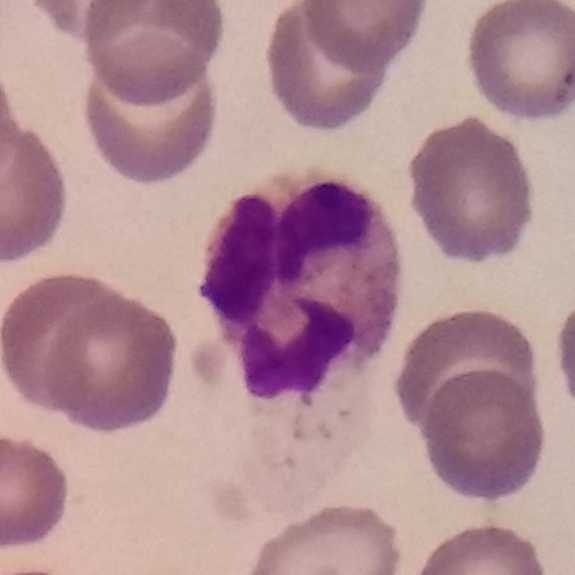 Giemsa-stained. 100× magnification. Peripheral blood smear.

Single cell identified as a neutrophilic granulocyte.